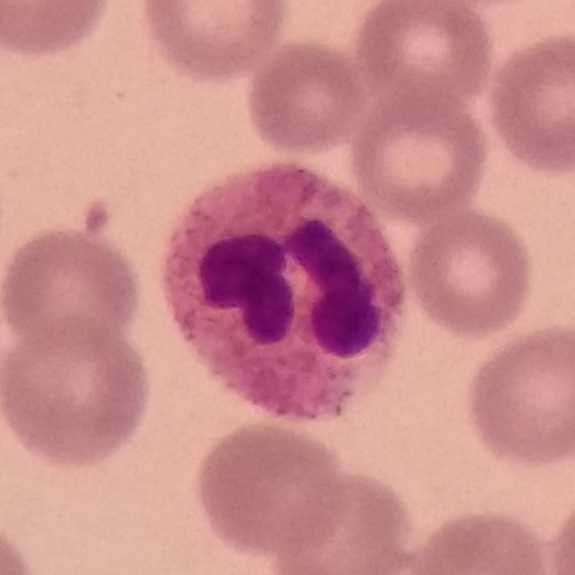 Morphology — neutrophil.
Image: 575×575. Peripheral blood smear.